Peripheral blood smear — 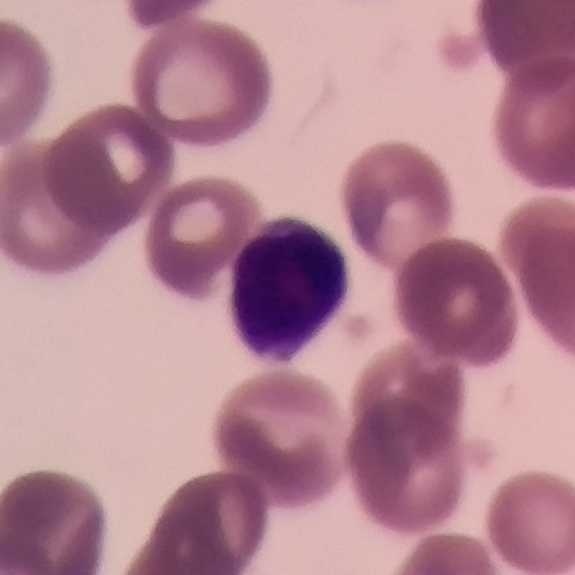 Morphology — lymphocyte.